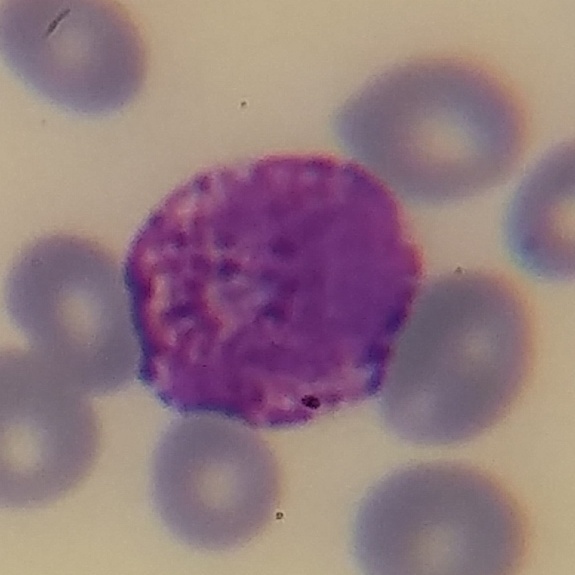Cell type = basophilic granulocyte.